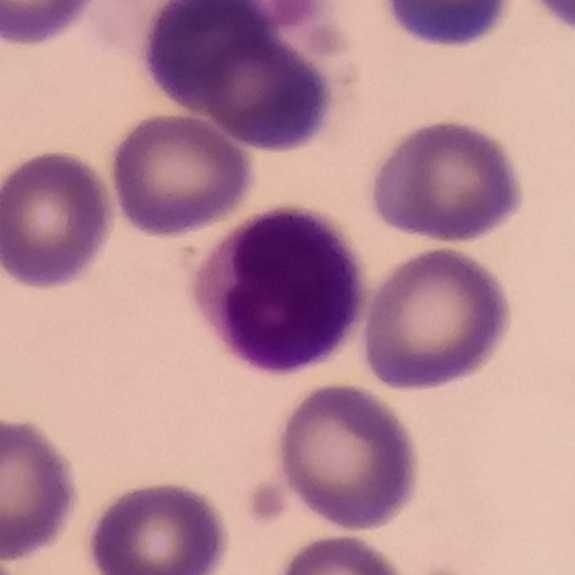Morphology consistent with a lymphocyte.
Stained with Giemsa; imaged at 100×; peripheral blood smear.